Peripheral blood film: 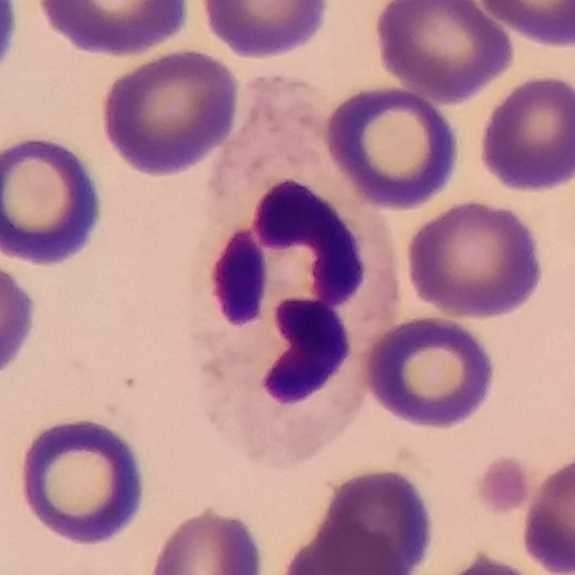Showing a neutrophilic granulocyte.